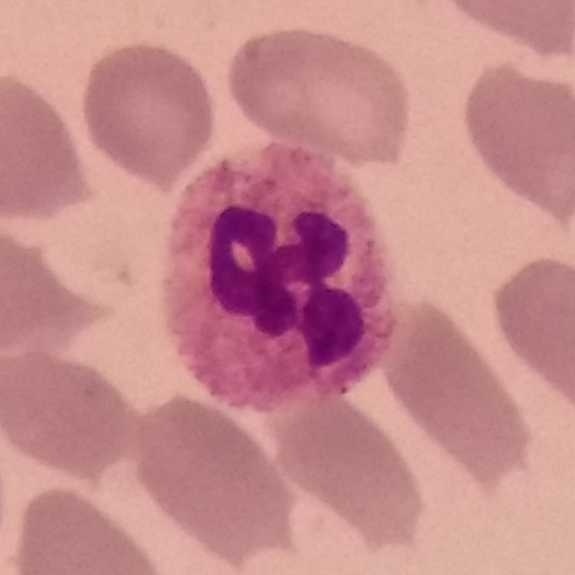

{"cell_type": "neutrophil", "lineage": "myeloid"}